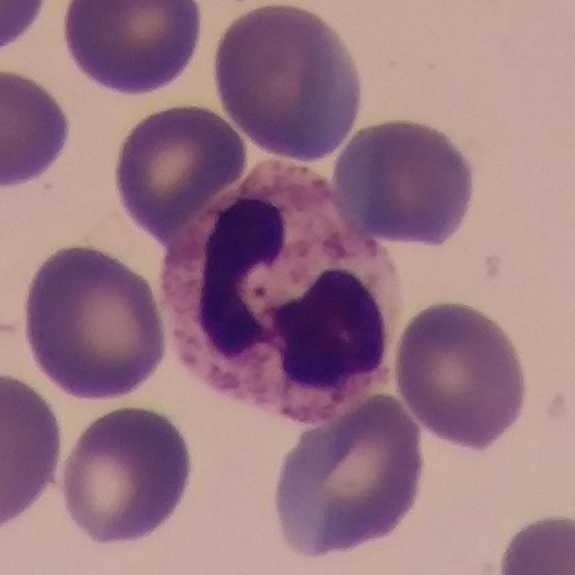

A neutrophilic granulocyte.

Acquisition: Magnification 100× · peripheral blood smear.